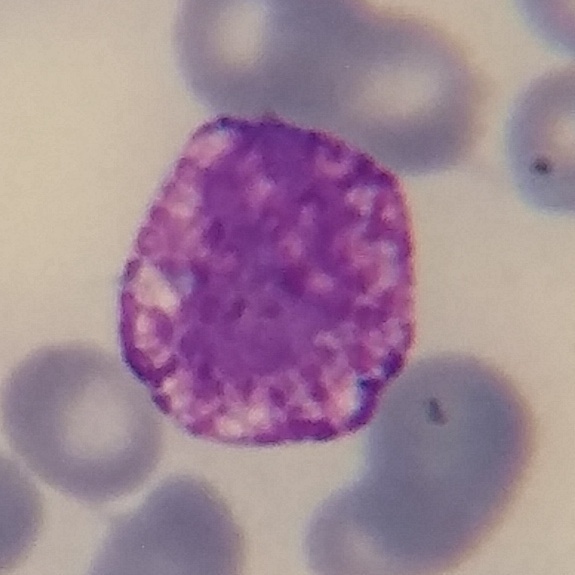 Single-cell crop from a peripheral blood smear: basophil.